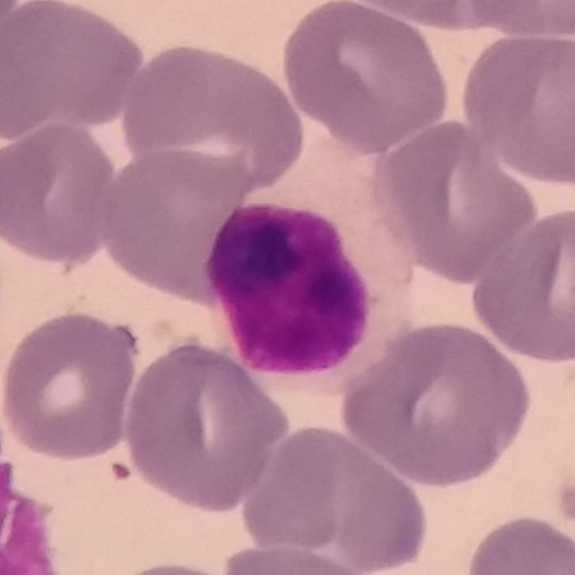
Smartphone photomicrograph. Peripheral blood smear. Single white blood cell cropped from the smear photograph.

The classification is lymphocyte.